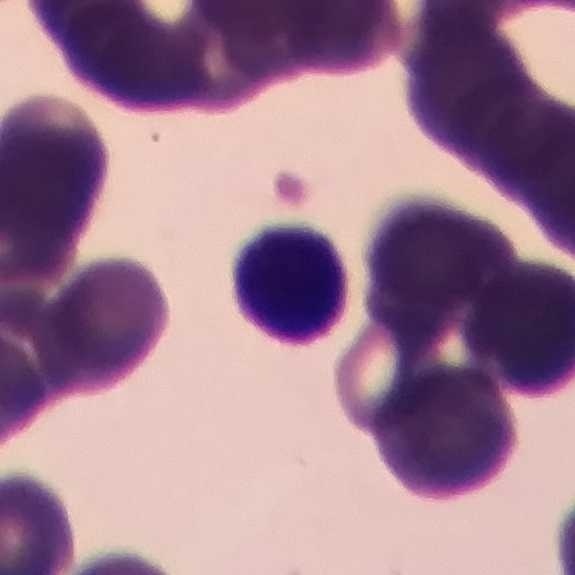This is a lymphocyte.